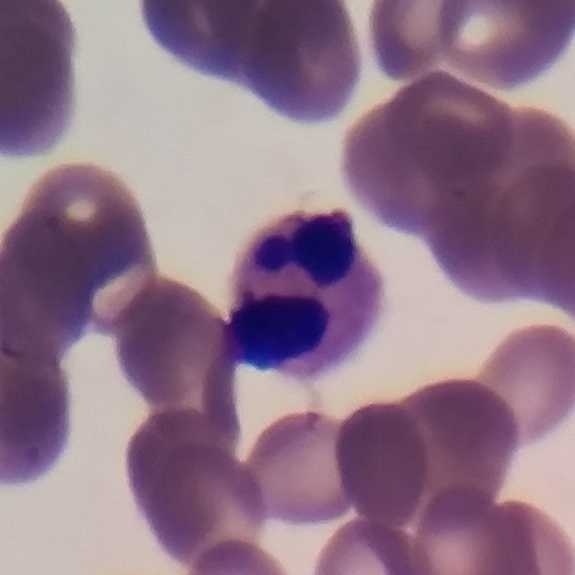

Image: Peripheral blood smear. Magnification 100×. Single cell identified as a neutrophil granulocyte.